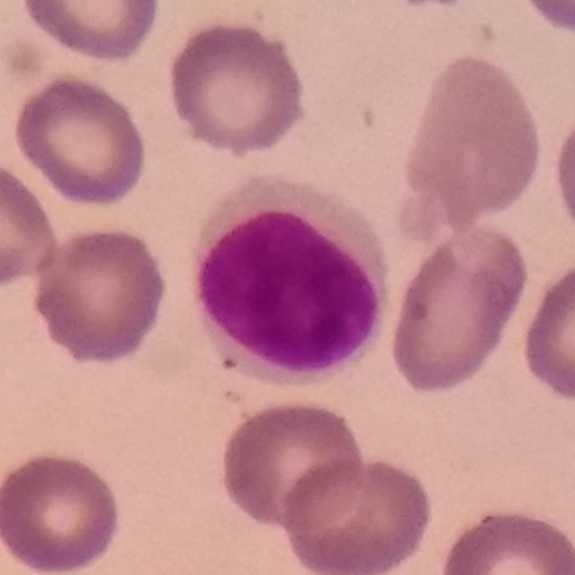Impression — lymphocyte. Context: 100× magnification · peripheral blood smear · single-cell field.